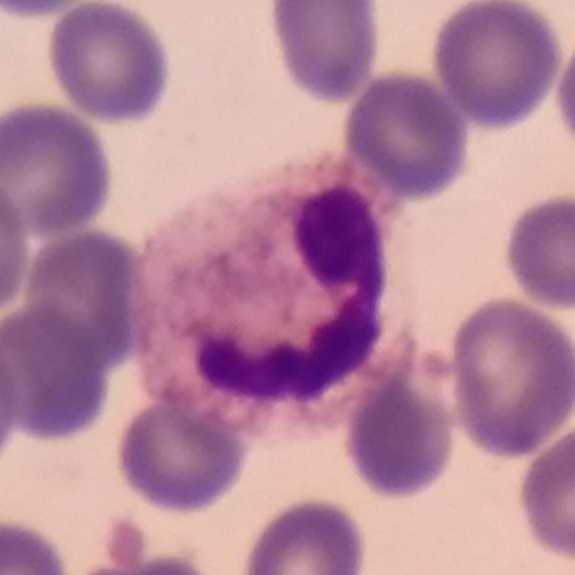

{"cell_type": "neutrophil", "lineage": "myeloid"}

Image: Peripheral blood film.